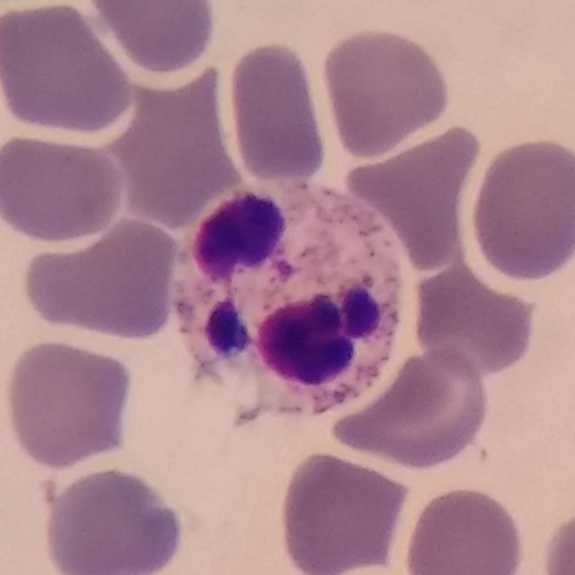
Single-cell crop from a peripheral blood smear: neutrophil.